Magnification 100×. Peripheral blood film — 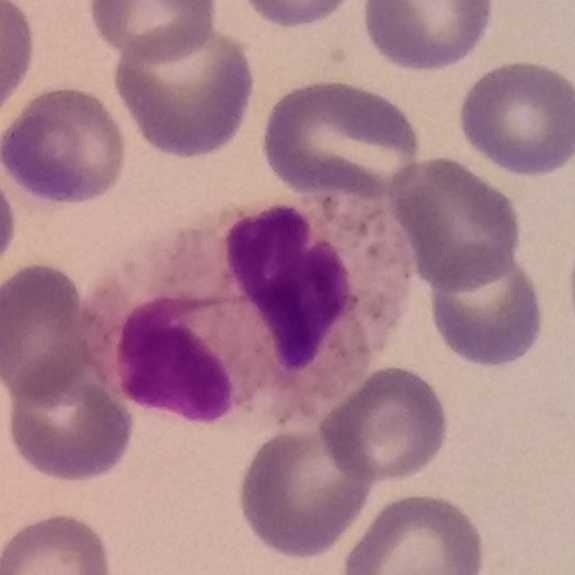

Neutrophil granulocyte.